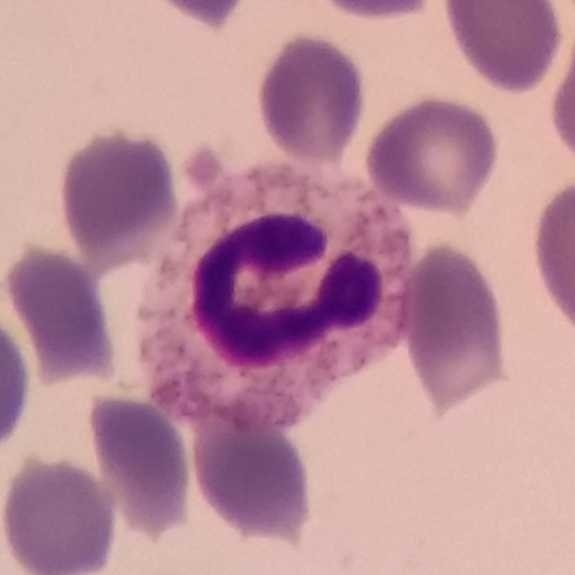

Q: What is the morphological classification of this cell?
A: This is a neutrophil granulocyte.
Acquisition: Peripheral blood smear.